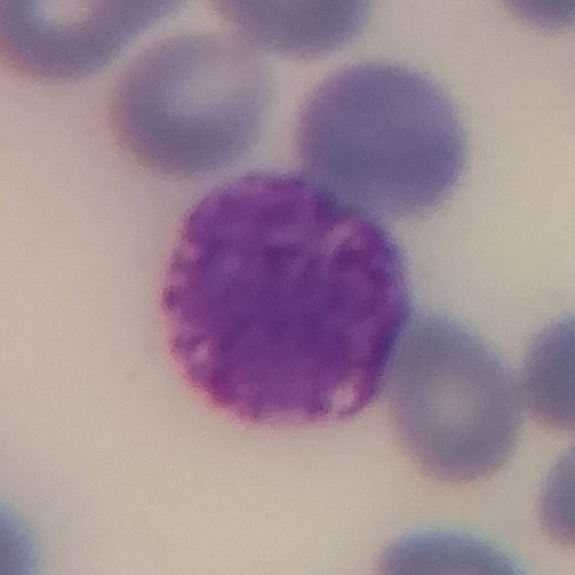

Peripheral blood smear showing a basophil.